Peripheral blood film — 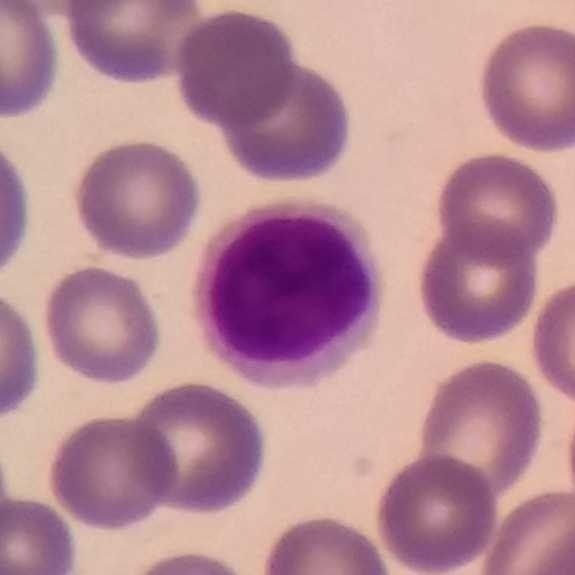

Morphology consistent with a lymphocyte.